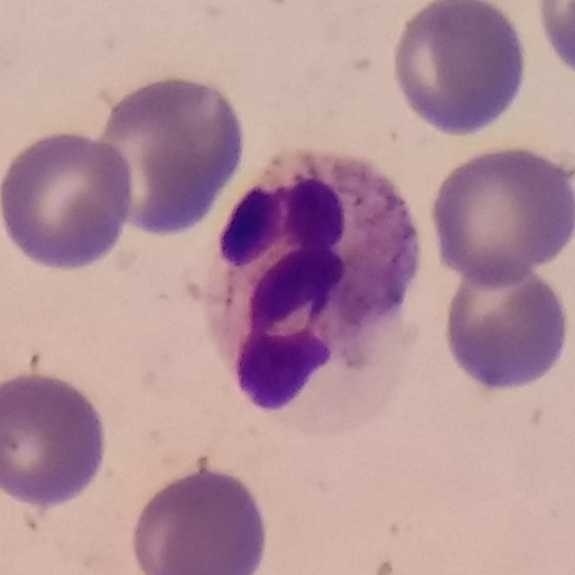

Specimen: peripheral blood smear.
Cell type: neutrophilic granulocyte.
Lineage: myeloid.
Acquisition: Single white blood cell cropped from the smear photograph.